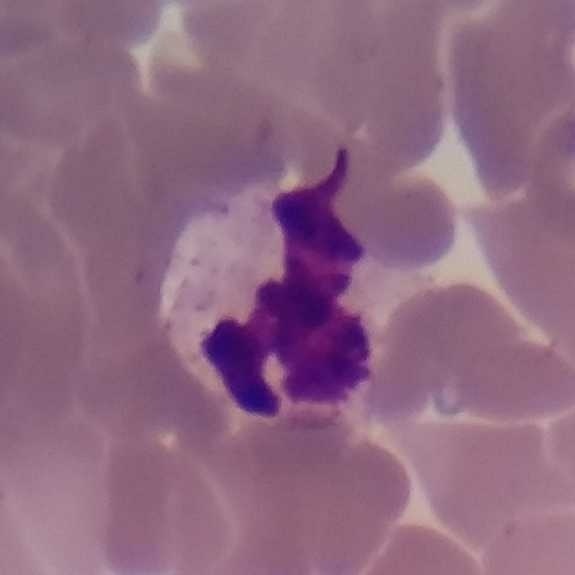Impression — neutrophil. Acquisition: Imaged at 100×; peripheral blood smear.